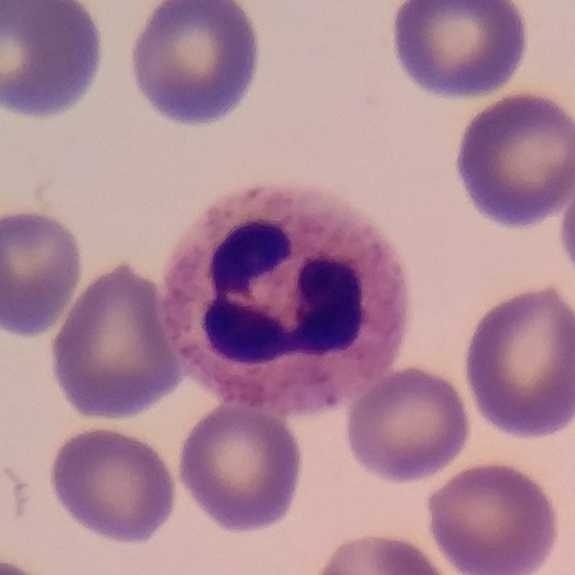
A neutrophil.
Image: Peripheral blood film.